Peripheral blood film; magnification 100×: 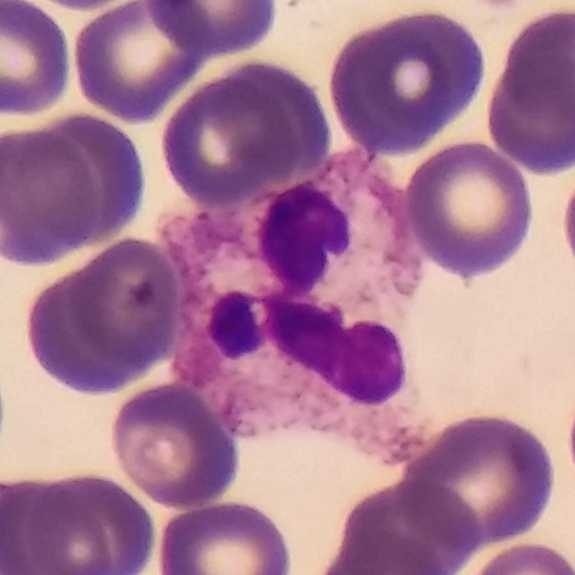
Showing a neutrophil.